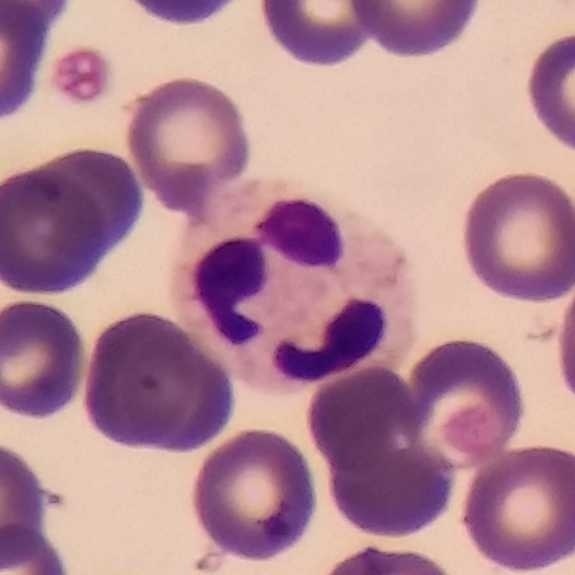 Neutrophil.
Preparation: Phone-camera image taken through the microscope ocular. Single-cell crop. Peripheral blood film.